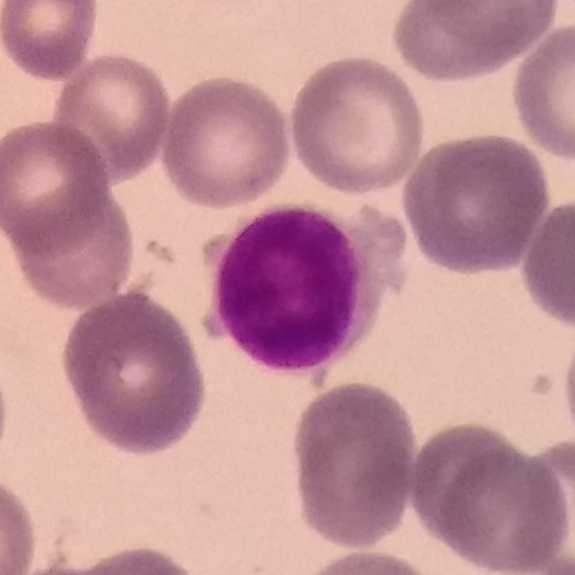
Context: Peripheral blood film.

Morphological class: lymphocyte.